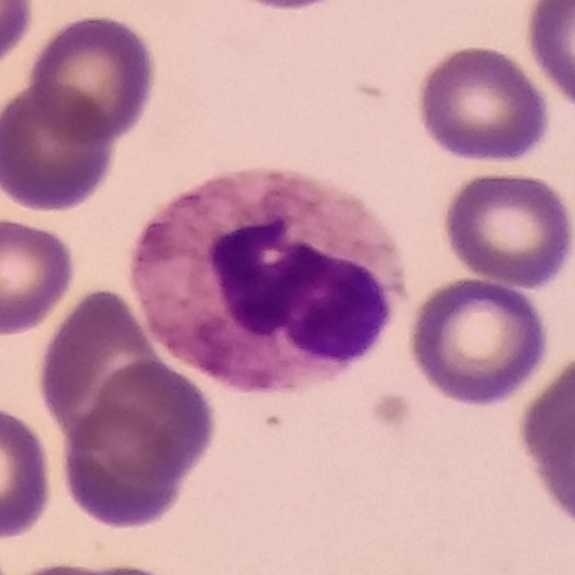

Specimen: peripheral blood smear.
Cell: neutrophilic granulocyte.
Lineage: myeloid. Context: Giemsa stain.